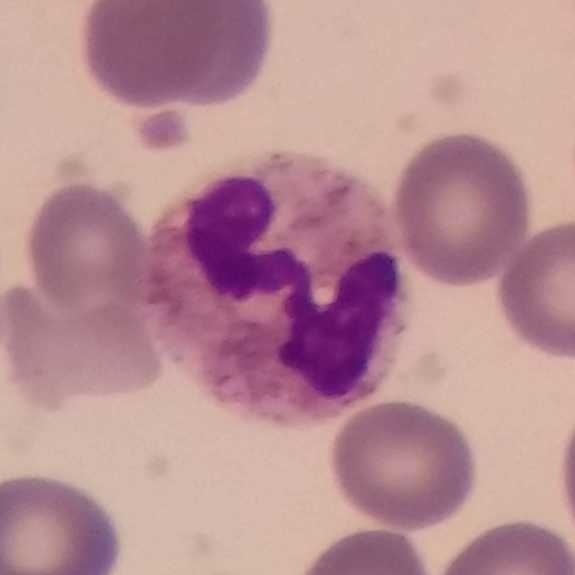 Peripheral blood film · Giemsa-stained · 575×575.
Neutrophil granulocyte.